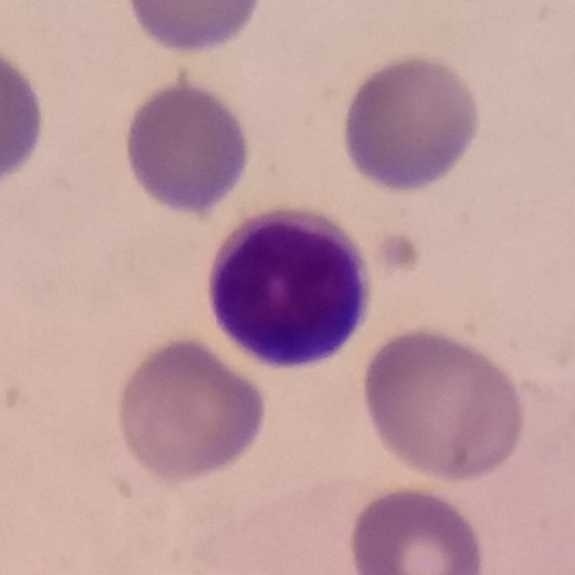

Specimen: peripheral blood smear.
Cell: lymphocyte.
Lineage: lymphoid. Stained with Giemsa.